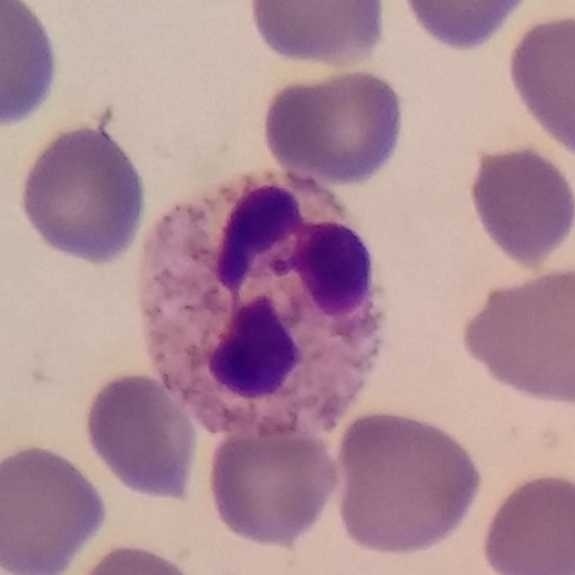Context: Peripheral blood film.

Cell = neutrophil granulocyte.